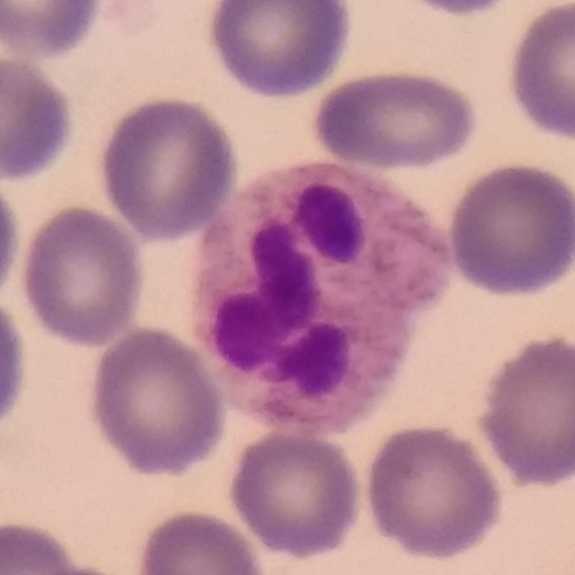Identified as a neutrophil granulocyte.
575×575 · peripheral blood film.